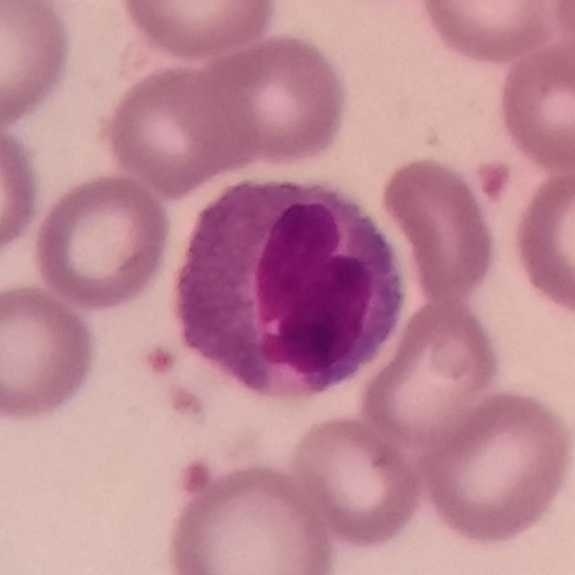 Identified as an eosinophilic granulocyte.